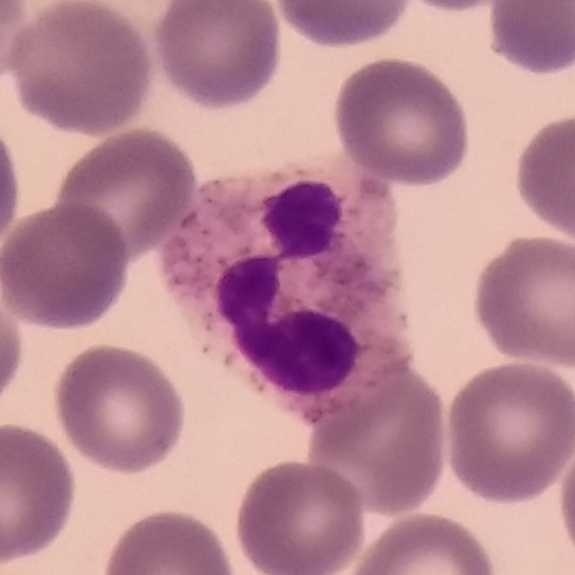

Q: What type of cell is this?
A: A neutrophil.